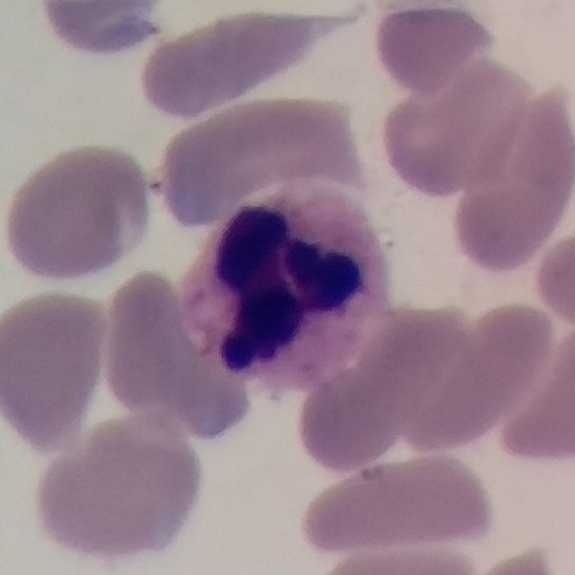 This is a neutrophilic granulocyte. Context: Peripheral blood film.